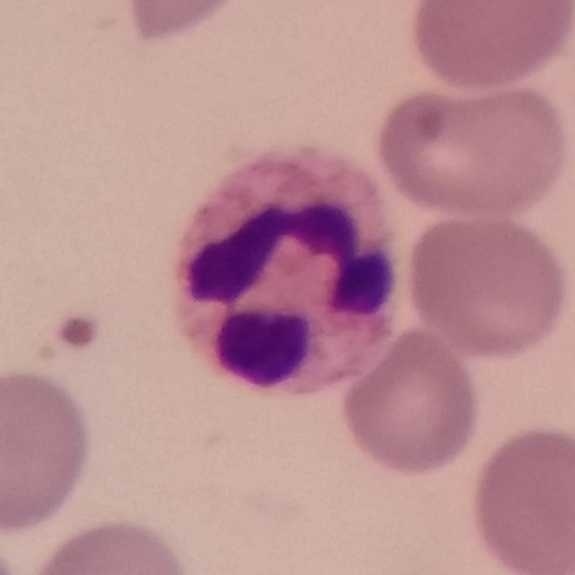Identified as a neutrophil. Peripheral blood film.